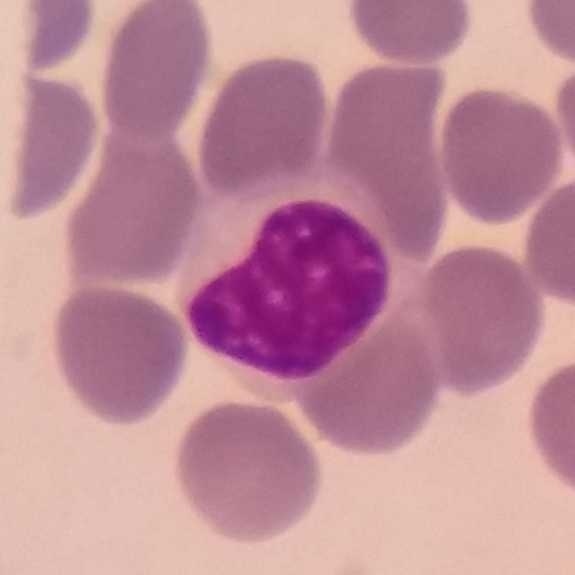 The white blood cell in this image is a lymphocyte.

Image: Giemsa stain; smartphone photomicrograph; peripheral blood smear.